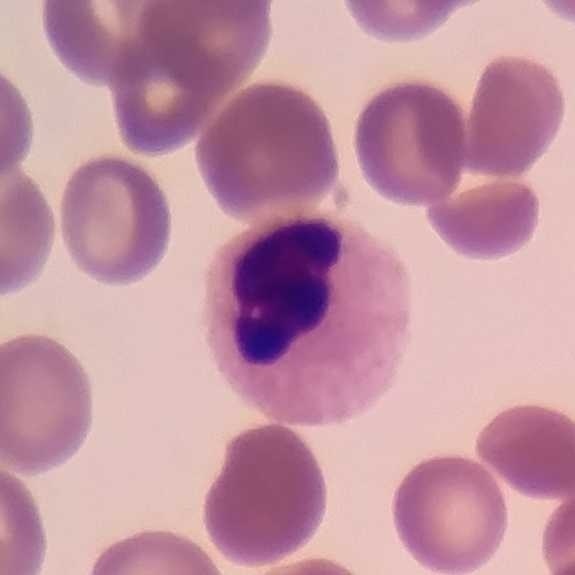 Q: Identify the cell.
A: Neutrophilic granulocyte.
Acquisition: Peripheral blood film.